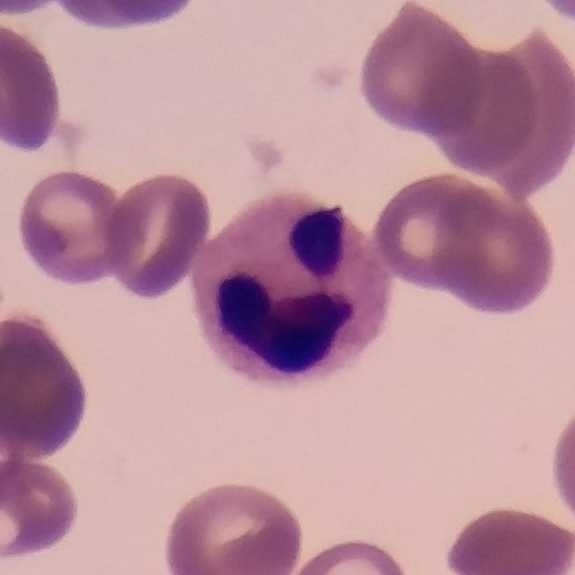
Cell type: neutrophil granulocyte. Preparation: Peripheral blood smear. Giemsa stain.